Single-cell field. Phone-camera image taken through the microscope ocular. Peripheral blood smear:
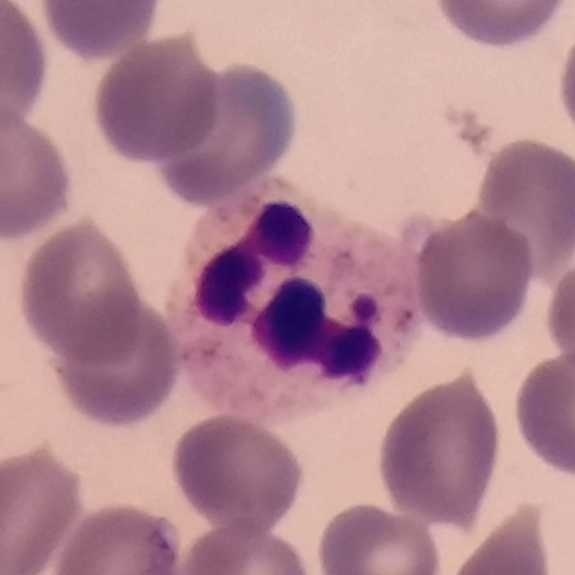This is a neutrophilic granulocyte.